Peripheral blood film · single-cell crop · magnification 100×: 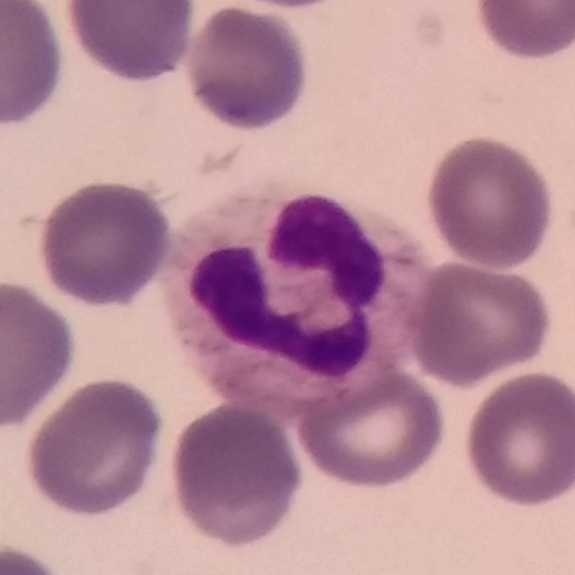
Morphology consistent with a neutrophilic granulocyte.